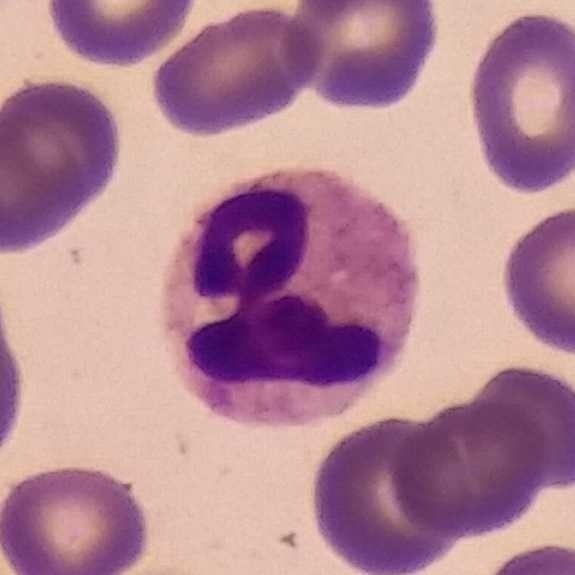Preparation: Peripheral blood film. Impression — neutrophilic granulocyte.